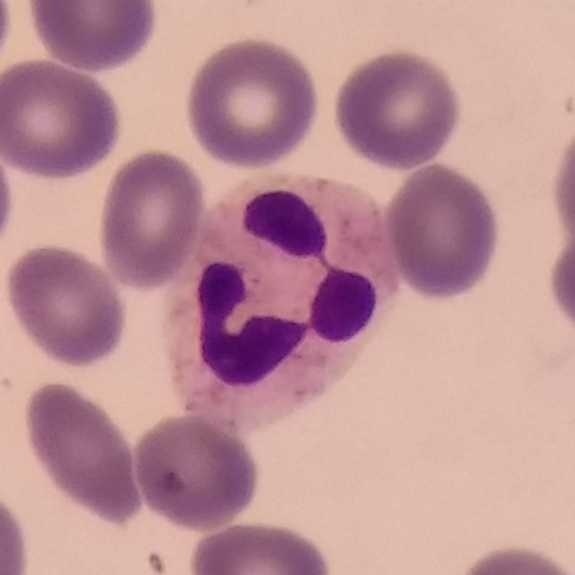
Neutrophilic granulocyte.